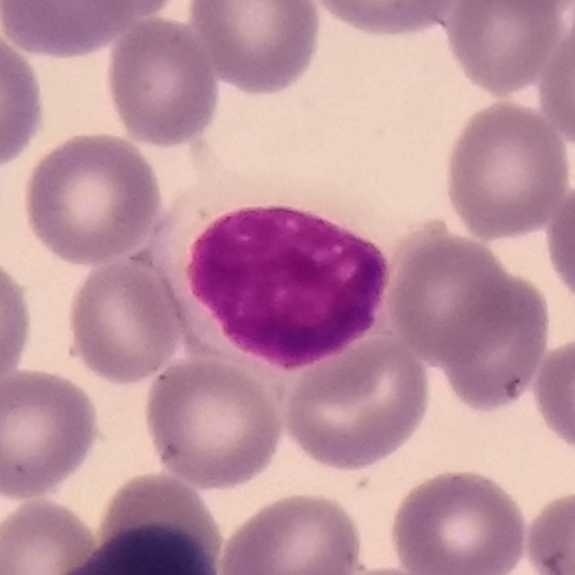

Cell type: lymphocyte.

Preparation: Peripheral blood smear.